Peripheral blood smear. Imaged at 100×
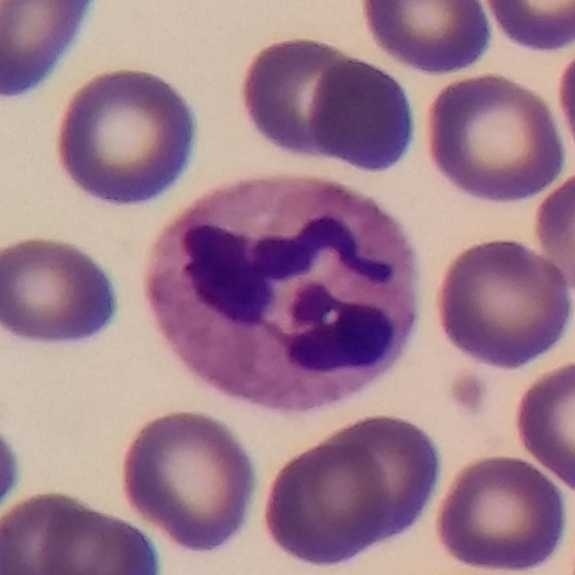 Showing a neutrophil.